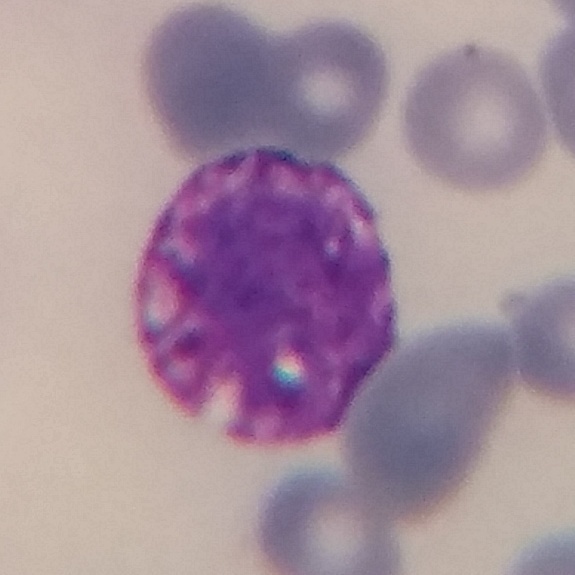 Q: Which cell type is shown here?
A: It is a basophilic granulocyte. Image: Smartphone photomicrograph; peripheral blood film.